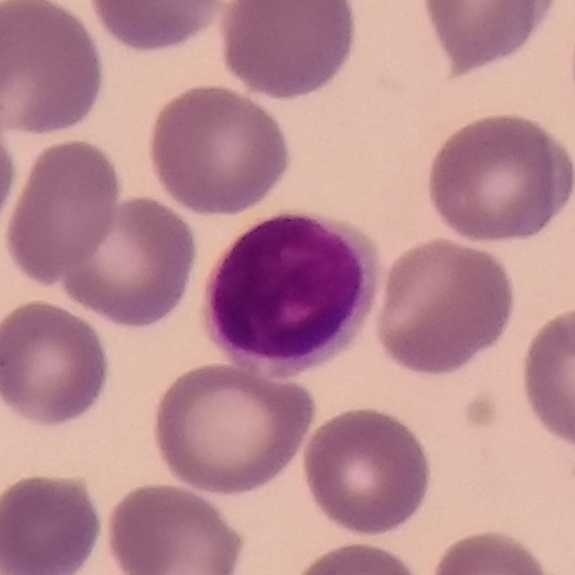Classification — lymphocyte.